Peripheral blood film.
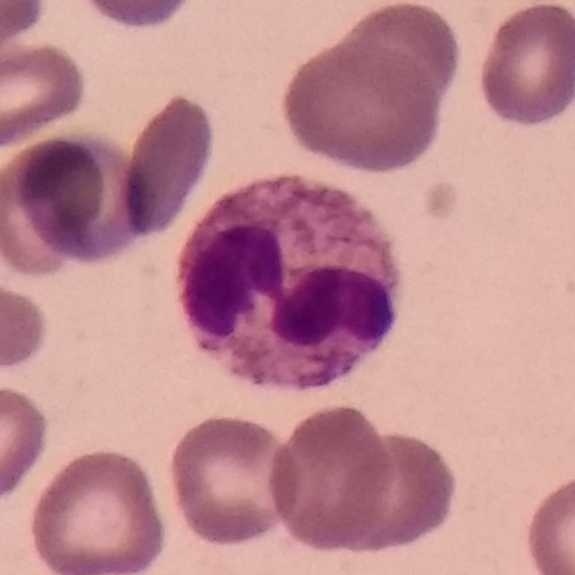
The cell shown is a neutrophilic granulocyte.